Peripheral blood smear:
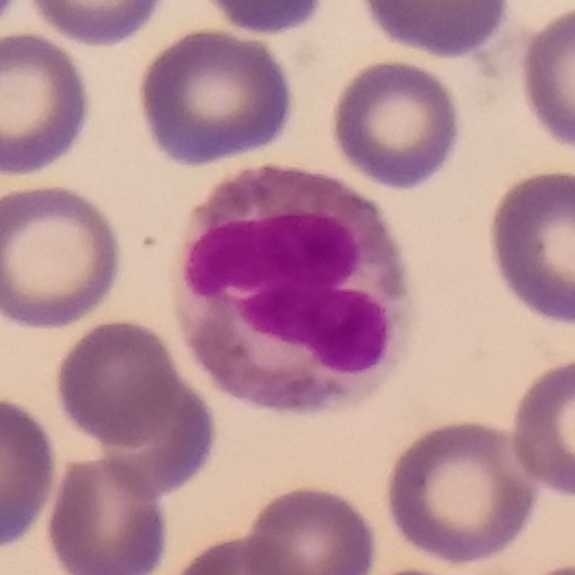Q: What is the morphological classification of this cell?
A: An eosinophil.